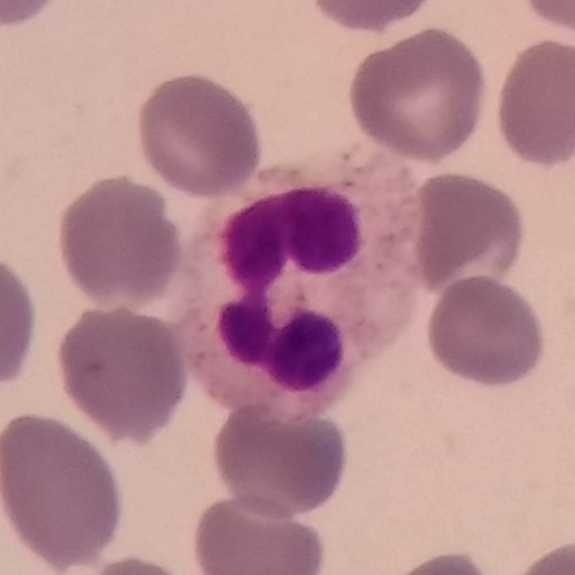
Cropped to one leukocyte · Giemsa-stained.

Specimen: peripheral blood film.
Morphological class: neutrophilic granulocyte.
Lineage: myeloid.